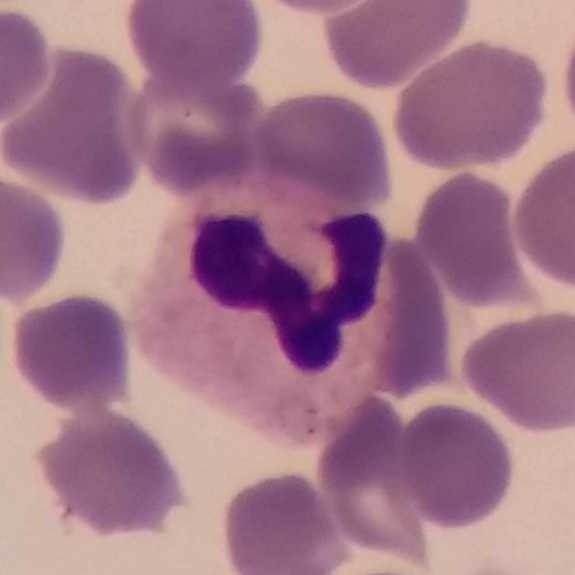 White blood cell type: neutrophil.

Image: Peripheral blood smear.